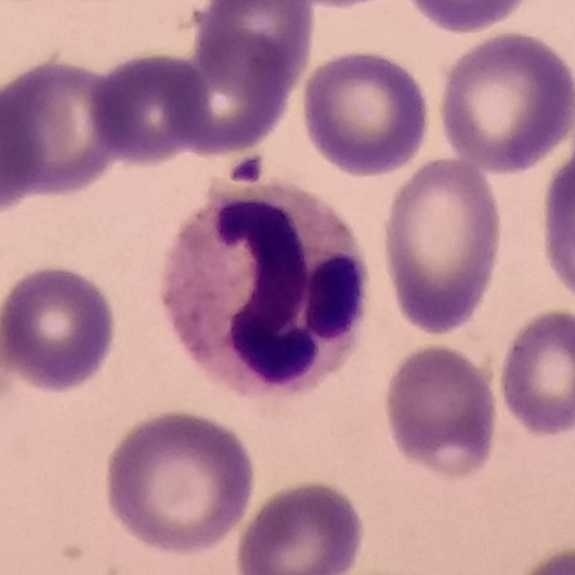

Specimen: peripheral blood film.
Morphological class: neutrophil.